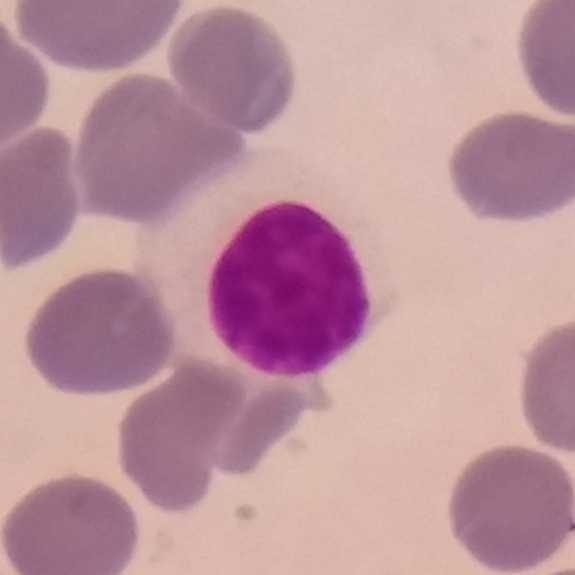
{"cell_type": "lymphocyte"}
Image: Peripheral blood smear.